Peripheral blood film — 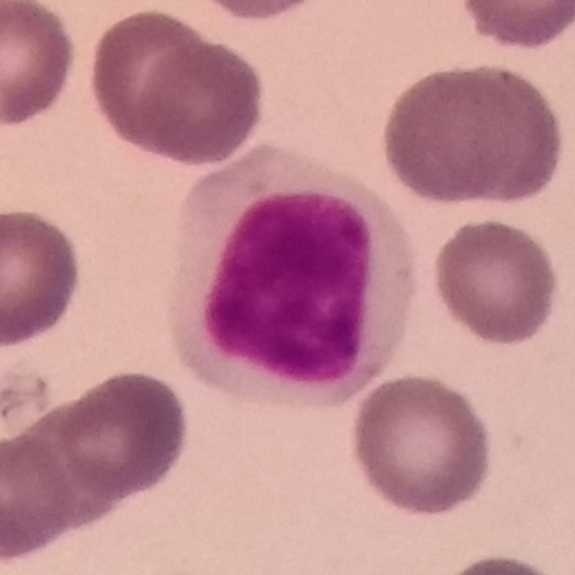
Specimen: peripheral blood smear.
Classification: lymphocyte.
Lineage: lymphoid.